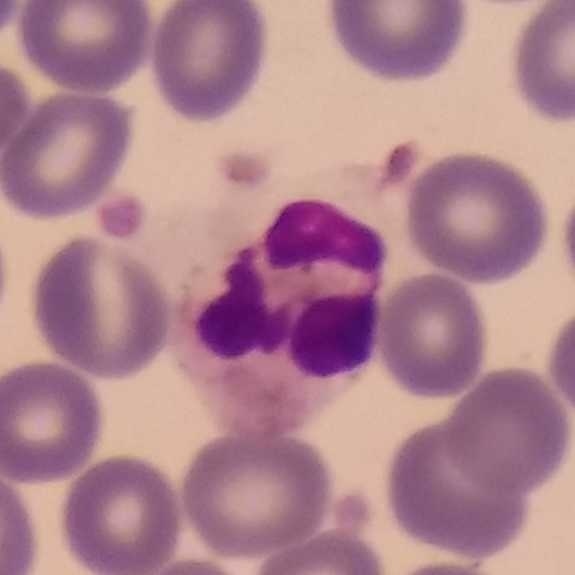

Showing a neutrophilic granulocyte. Magnification 100× · single white blood cell cropped from the smear photograph · peripheral blood film.